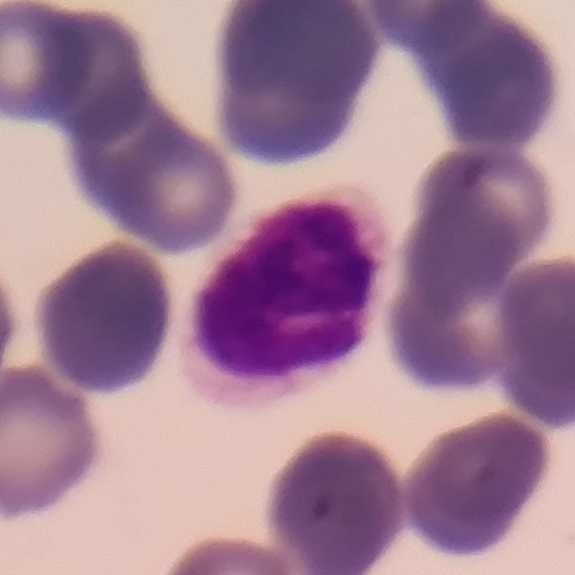Specimen: peripheral blood film.
Cell type: lymphocyte.